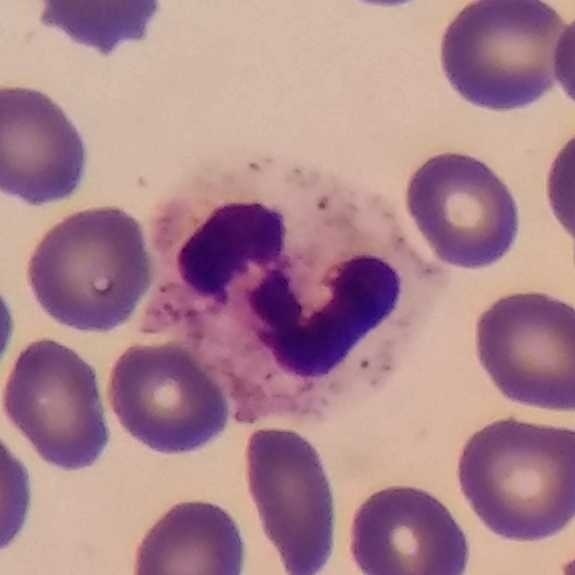The cell shown is a neutrophilic granulocyte.